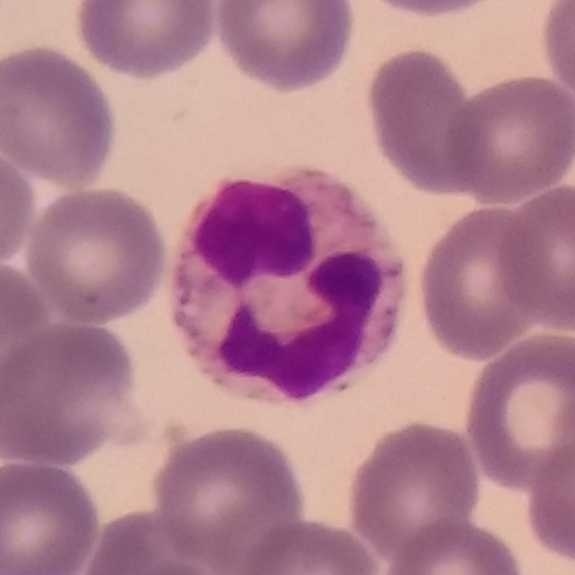 Peripheral blood smear showing a neutrophilic granulocyte.